Peripheral blood smear. 575 by 575 pixels — 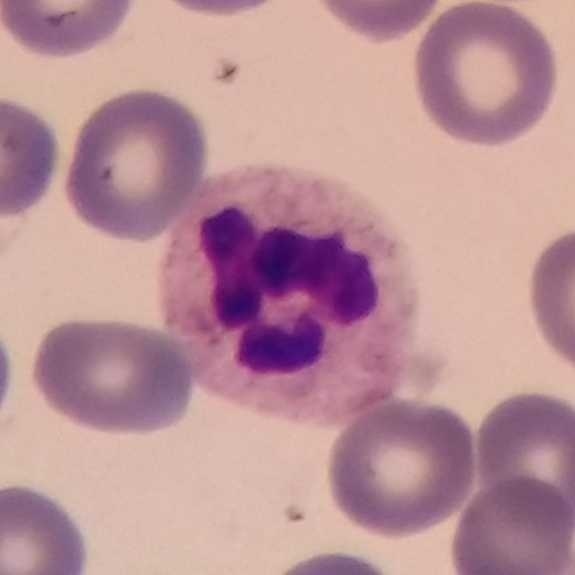Impression → neutrophilic granulocyte.